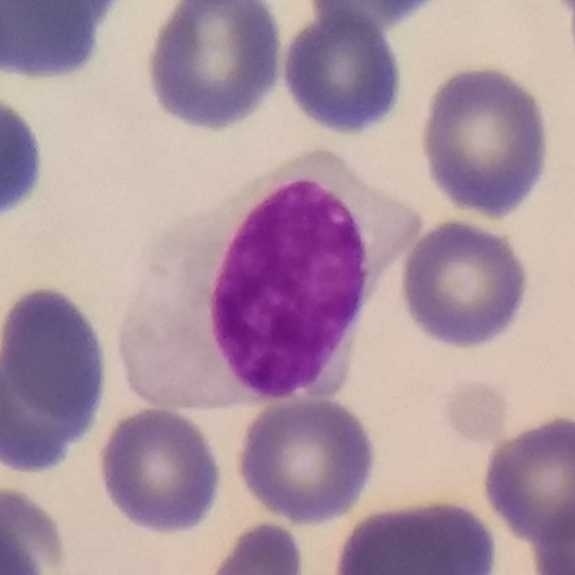

Lymphocyte. Image: Peripheral blood film; single-cell crop.